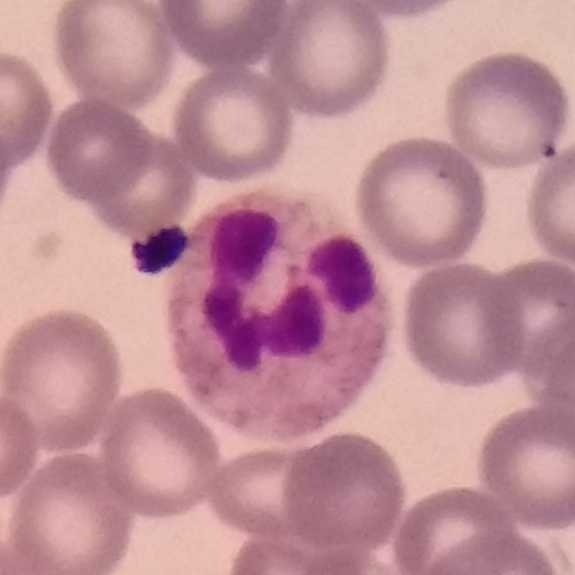

The white blood cell in this image is a neutrophilic granulocyte. Phone-camera image taken through the microscope ocular · peripheral blood smear.